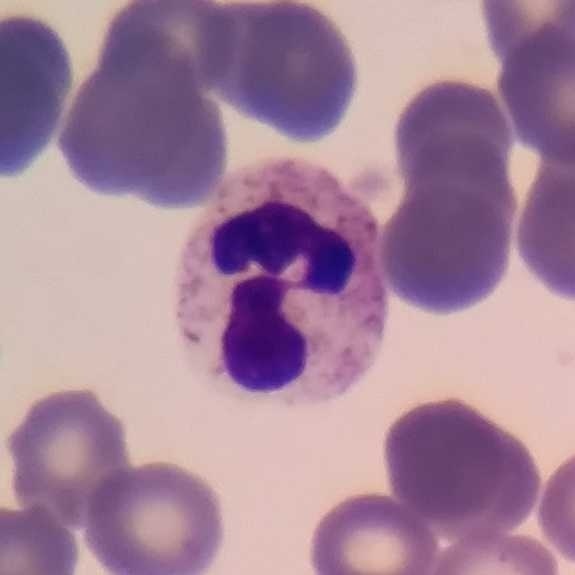Context: Smartphone camera mounted on the microscope eyepiece; peripheral blood smear; single white blood cell cropped from the smear photograph.

The cell shown is a neutrophil.